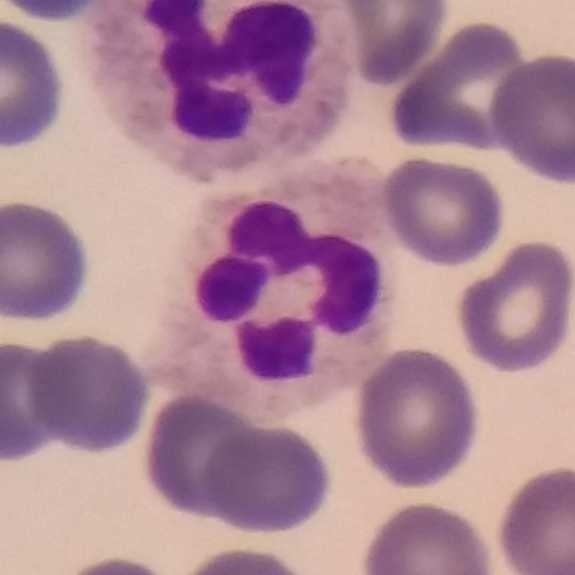Morphology → neutrophil granulocyte.

Preparation: Peripheral blood smear; 100× magnification; smartphone camera mounted on the microscope eyepiece.